Peripheral blood smear
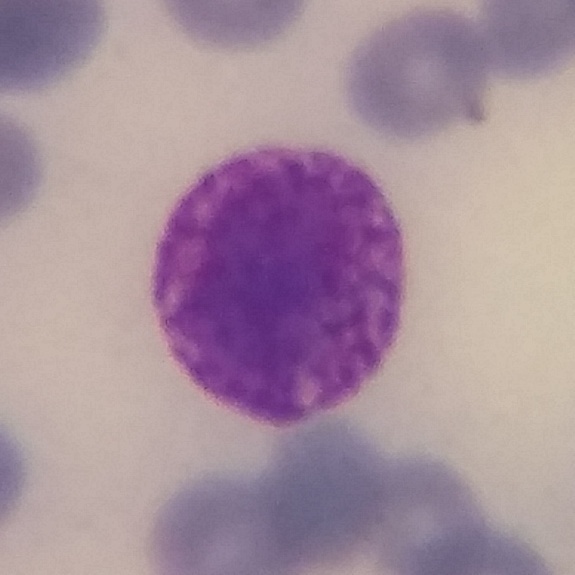 Morphology → basophil.